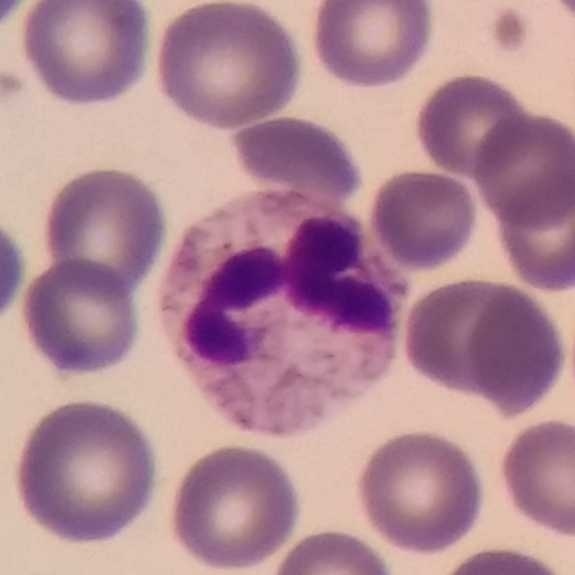
Morphology — neutrophil granulocyte. Peripheral blood film. 575×575 px.